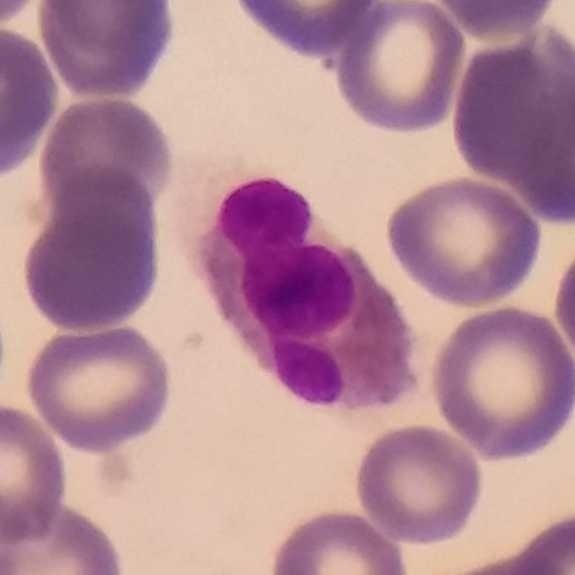 Cell type = eosinophilic granulocyte.
Image: Peripheral blood smear.